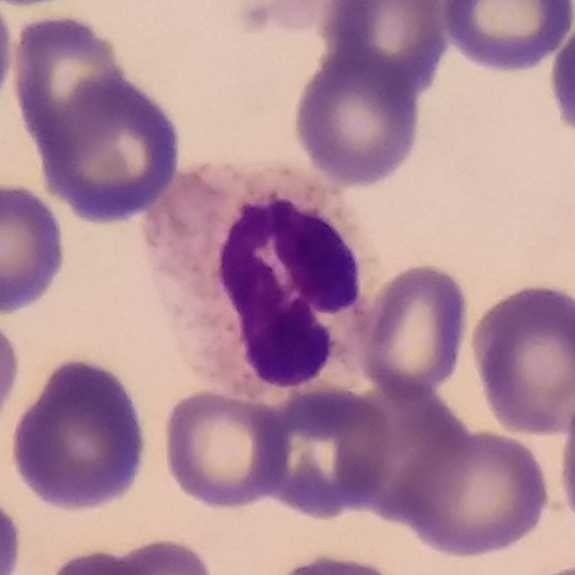
Specimen: peripheral blood film.
Classification: neutrophil granulocyte.
Lineage: myeloid. Phone-camera image taken through the microscope ocular. Stained with Giemsa.